Peripheral blood smear: 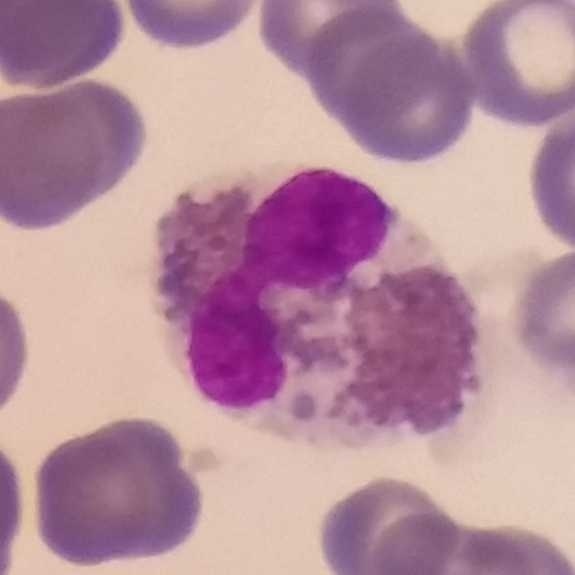 This is an eosinophilic granulocyte.